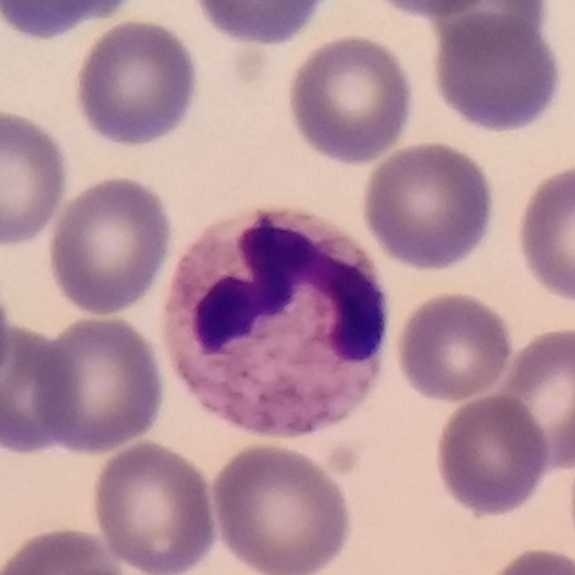{"cell_type": "neutrophilic granulocyte", "lineage": "myeloid"}

Context: Peripheral blood smear · stained with Giemsa · phone-camera image taken through the microscope ocular.